575×575 px · peripheral blood smear:
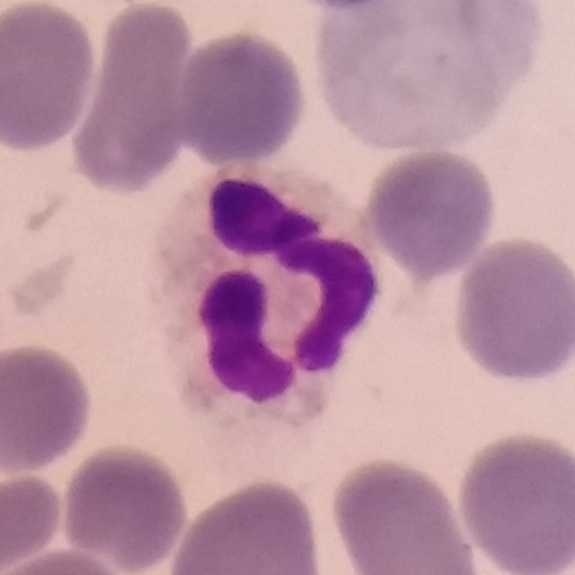Cell type = neutrophil.